575×575 · peripheral blood film · magnification 100×: 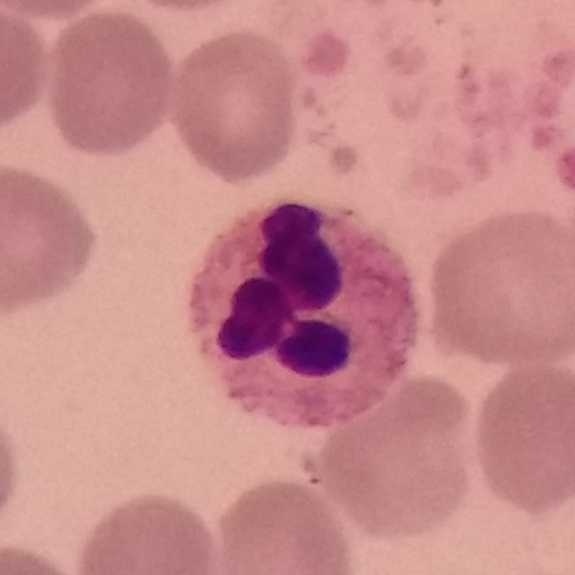
This is a neutrophil.